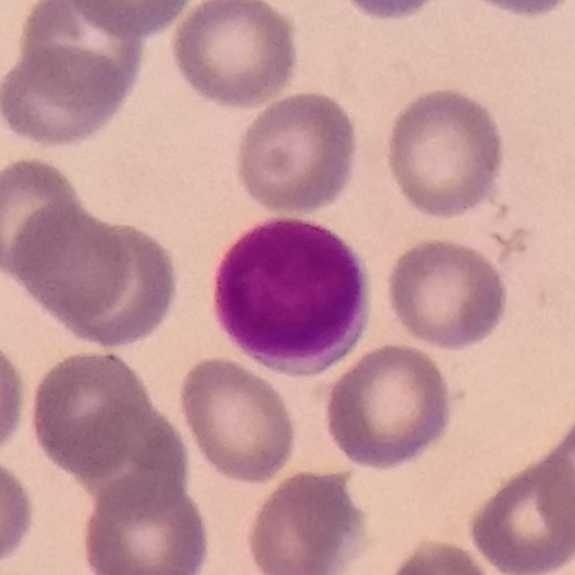 Specimen: peripheral blood smear.
Cell type: lymphocyte.
Lineage: lymphoid.
Preparation: 575 by 575 pixels. Single-cell crop.